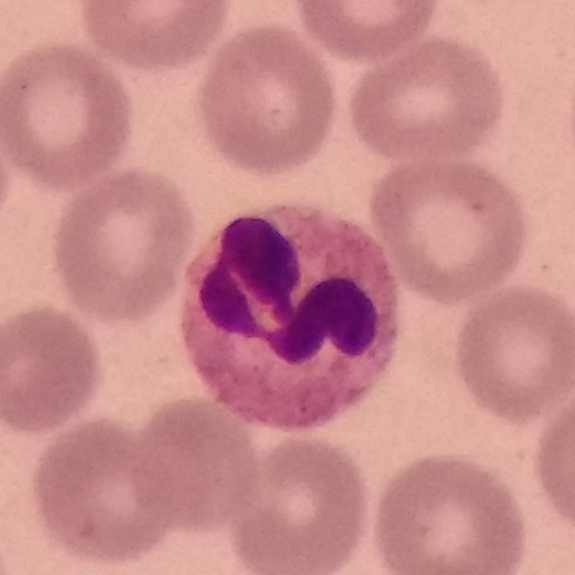 Identified as a neutrophil.